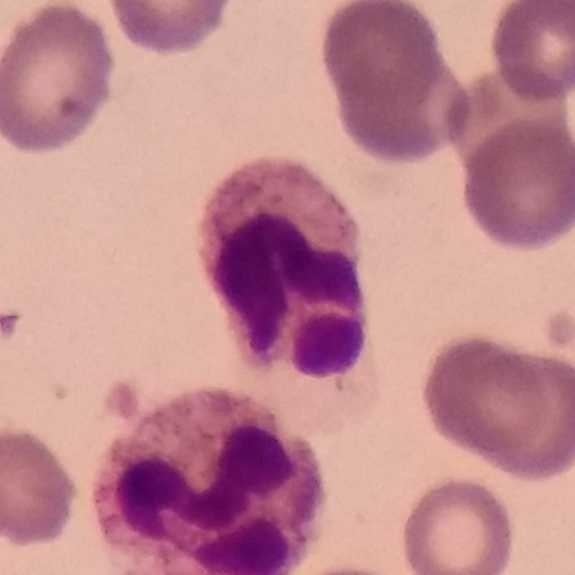

The white blood cell in this image is a neutrophilic granulocyte.

Peripheral blood film.